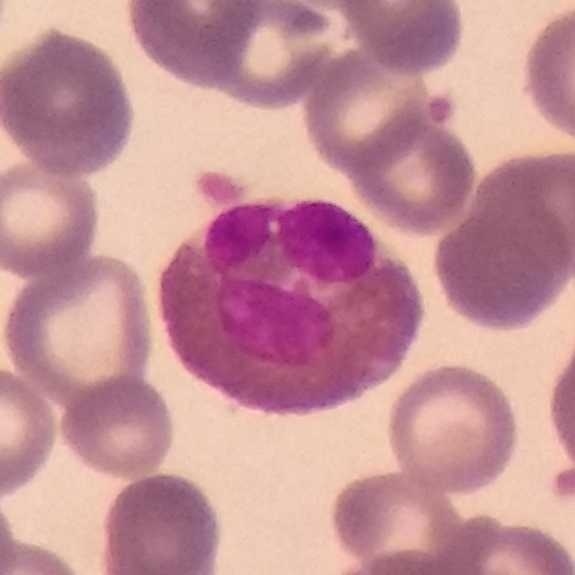The cell shown is an eosinophil.

Magnification 100×; peripheral blood smear.